Peripheral blood smear
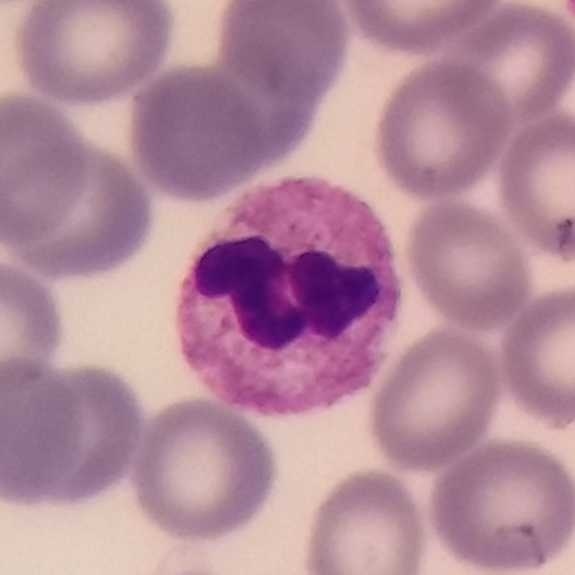 Classification — neutrophil granulocyte.